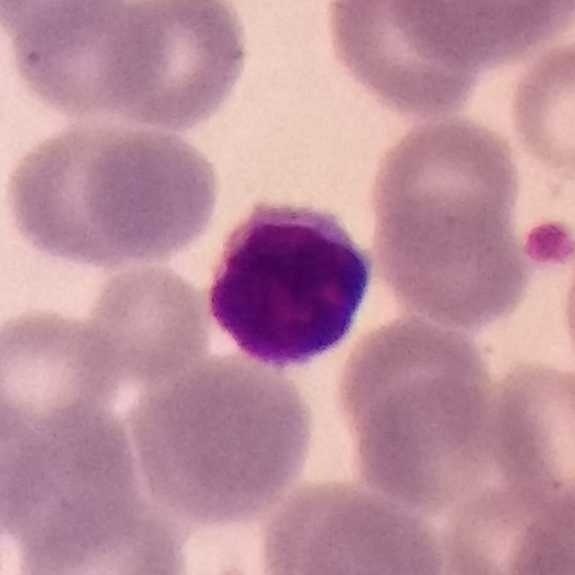
Preparation: Peripheral blood film; 100× magnification.

Classification — lymphocyte.